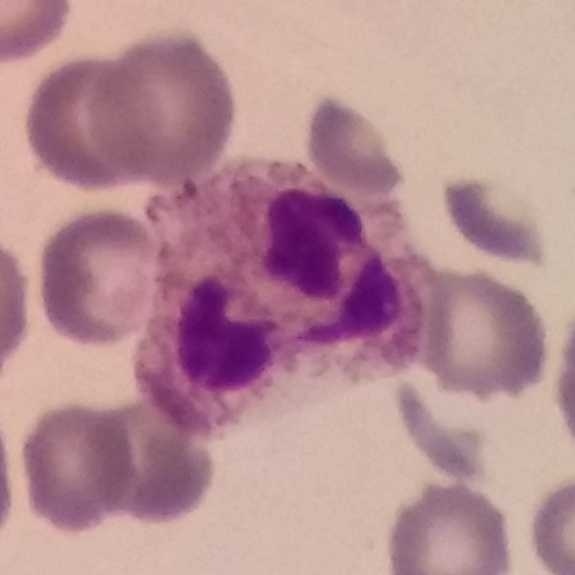Context: Peripheral blood film; Giemsa stain. Cell: neutrophil.